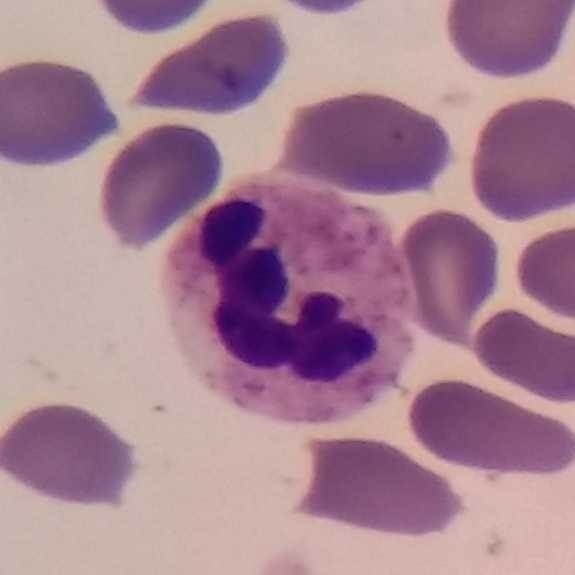Preparation: Peripheral blood smear.
Morphology consistent with a neutrophilic granulocyte.